Giemsa-stained · peripheral blood smear
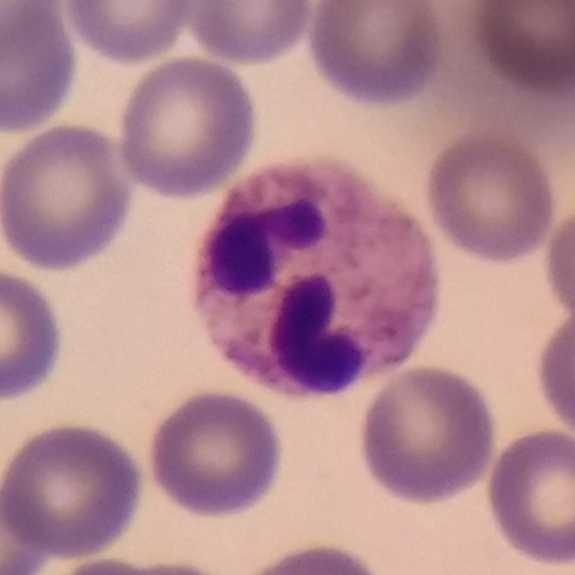This is a neutrophilic granulocyte.